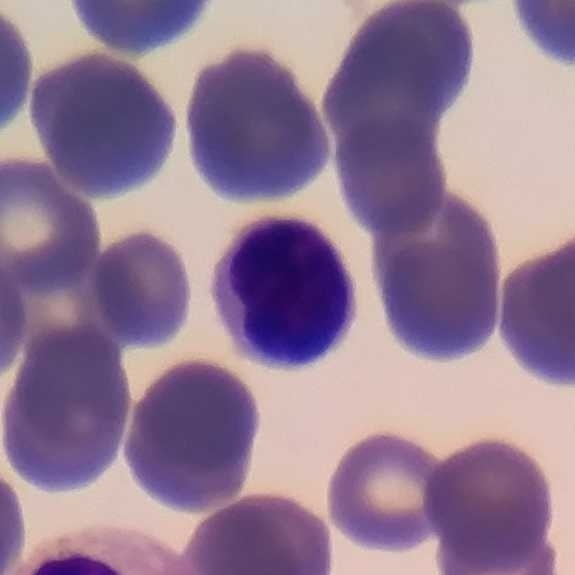 Single-cell crop from a peripheral blood smear: lymphocyte.